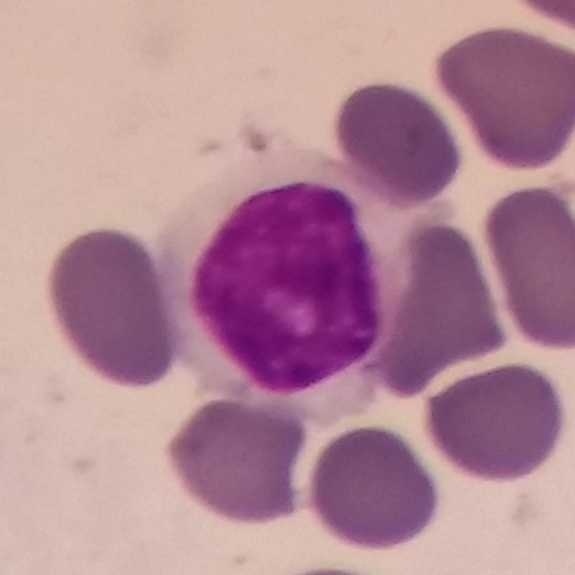
The white blood cell type is lymphocyte.